Peripheral blood film · imaged at 100× — 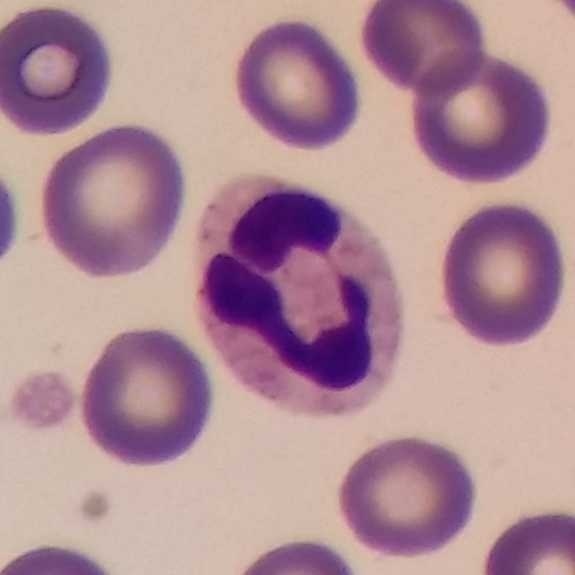
Specimen: peripheral blood film.
Cell type: neutrophil granulocyte.
Lineage: myeloid.